Smartphone photomicrograph · peripheral blood film: 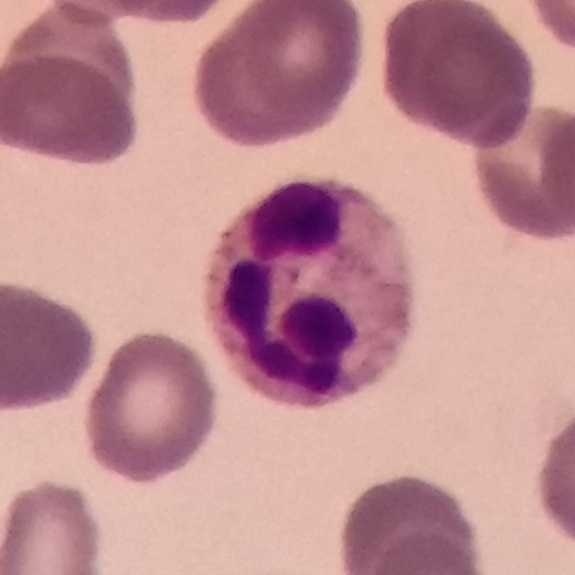
Cell = neutrophilic granulocyte.